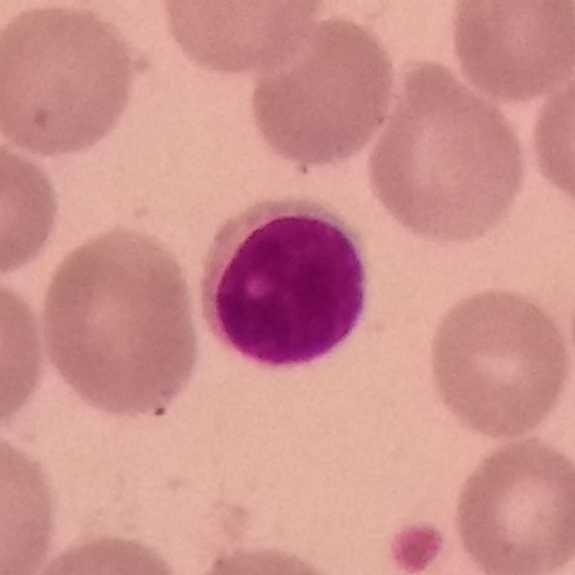 Specimen: peripheral blood smear.
Cell: lymphocyte. Acquisition: Imaged at 100× · cropped to one leukocyte.